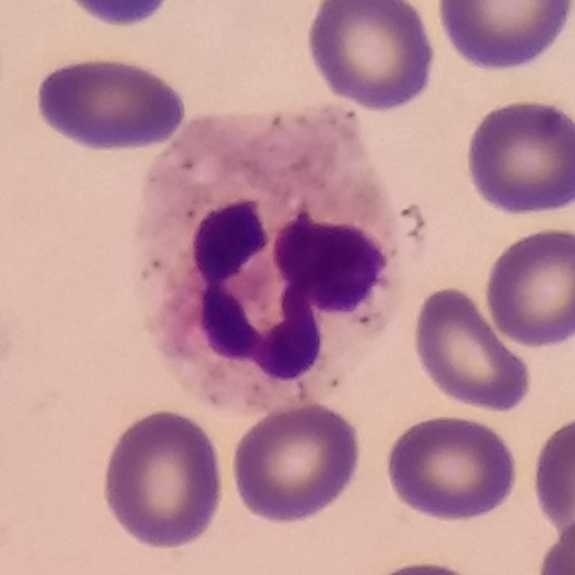Impression — neutrophil granulocyte.